Peripheral blood film
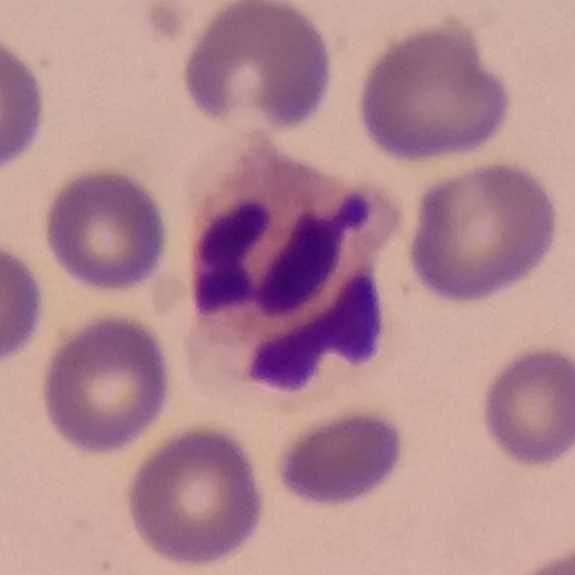
Specimen: peripheral blood film.
Classification: neutrophil granulocyte.